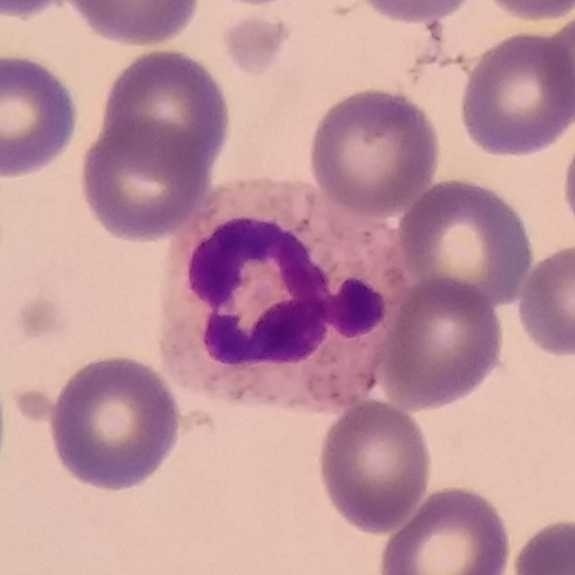The cell type is neutrophil granulocyte.